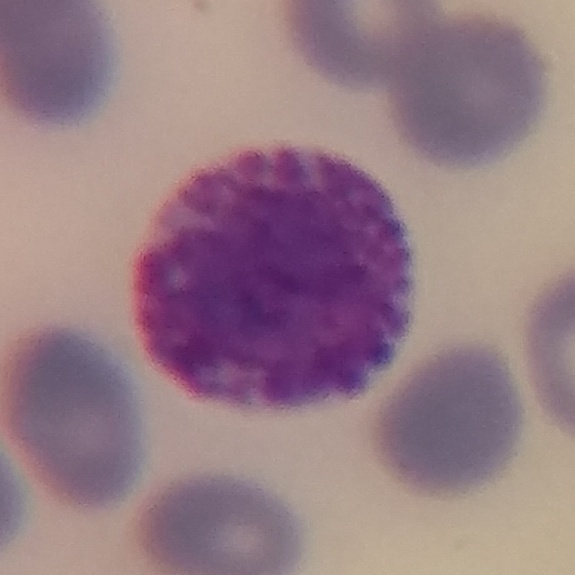

Q: What is this?
A: This is a basophilic granulocyte.

Context: Peripheral blood smear.